Peripheral blood film:
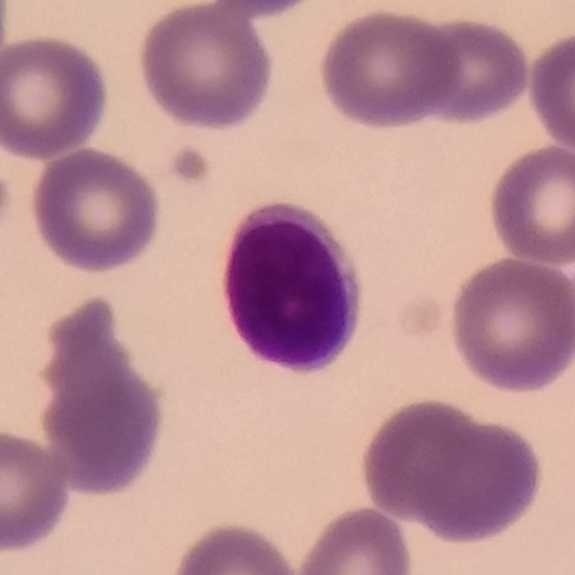Q: Classify this leukocyte.
A: This is a lymphocyte.